Phone-camera image taken through the microscope ocular · imaged at 100× · peripheral blood smear: 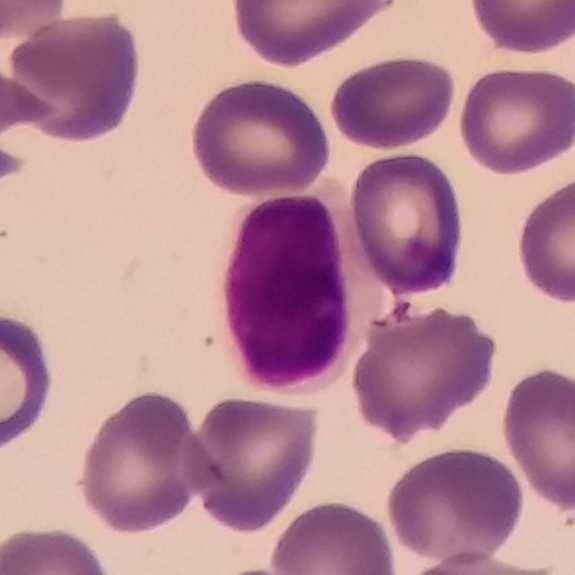Classification: lymphocyte.